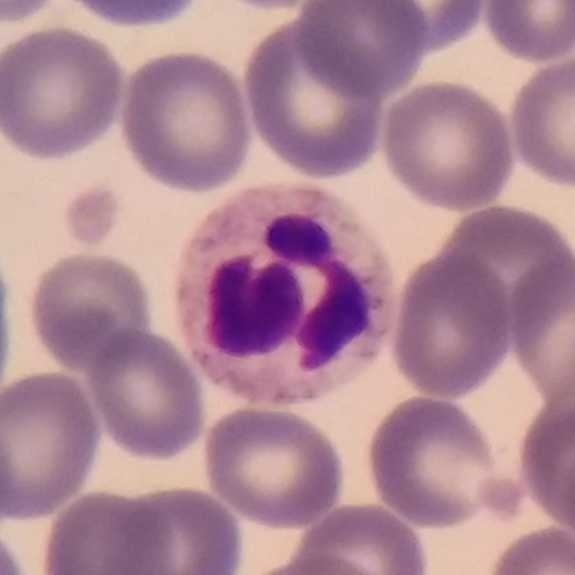

Morphological class — neutrophil granulocyte.
Acquisition: Peripheral blood smear. Imaged at 100×.